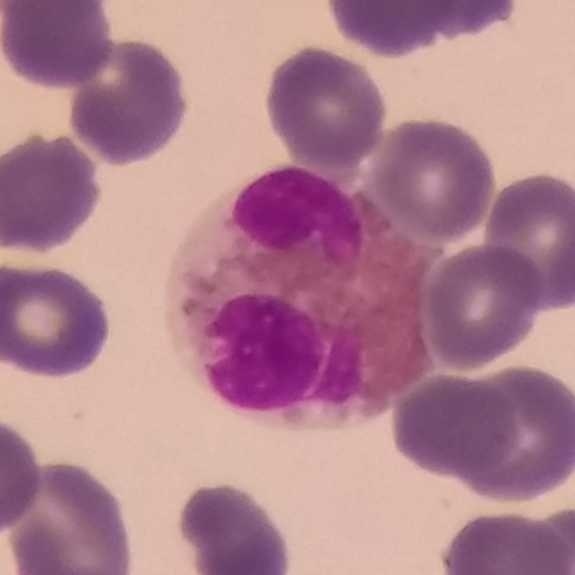

Showing an eosinophil.

575×575 px · peripheral blood film.